Peripheral blood smear — 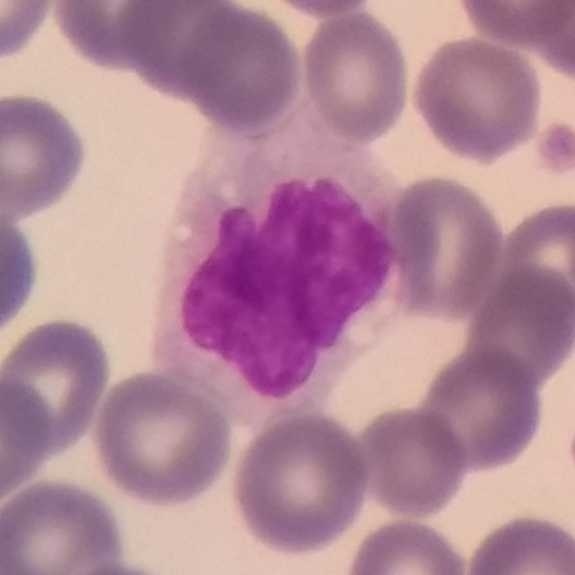A monocyte.